Photographed through a light microscope with a smartphone camera; peripheral blood smear; cropped to one leukocyte:
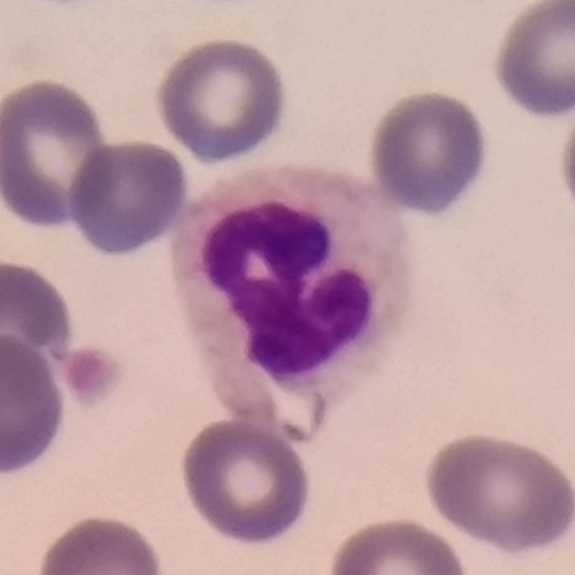 Neutrophilic granulocyte.